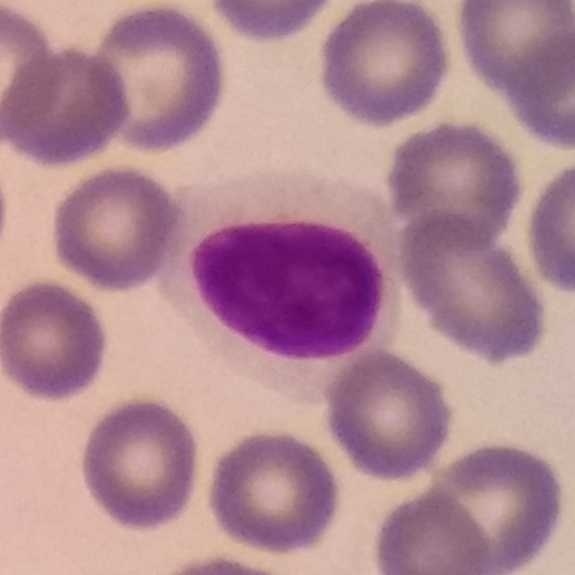 Peripheral blood film.
This is a lymphocyte.